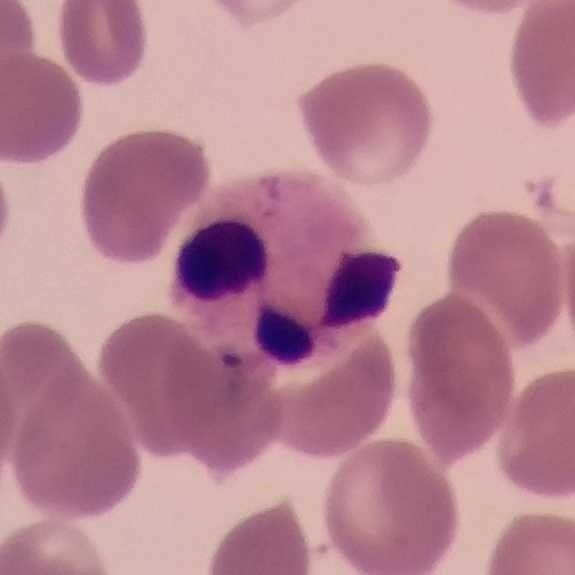
White blood cell type — neutrophil granulocyte. Photographed through a light microscope with a smartphone camera. Peripheral blood smear. Giemsa-stained.